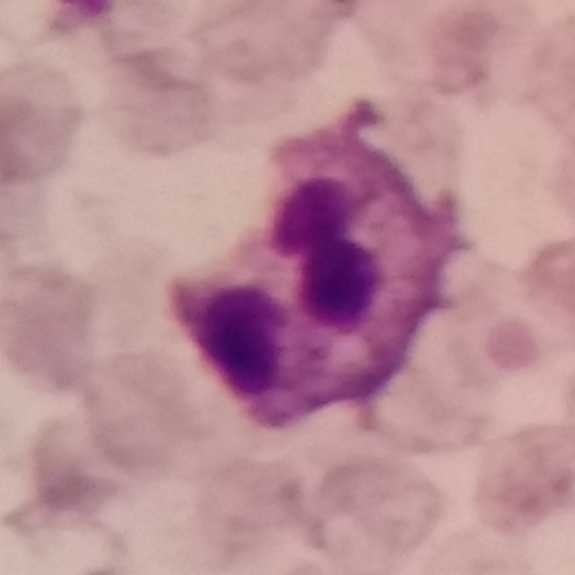Classification — neutrophilic granulocyte.
Peripheral blood film. 575 by 575 pixels.